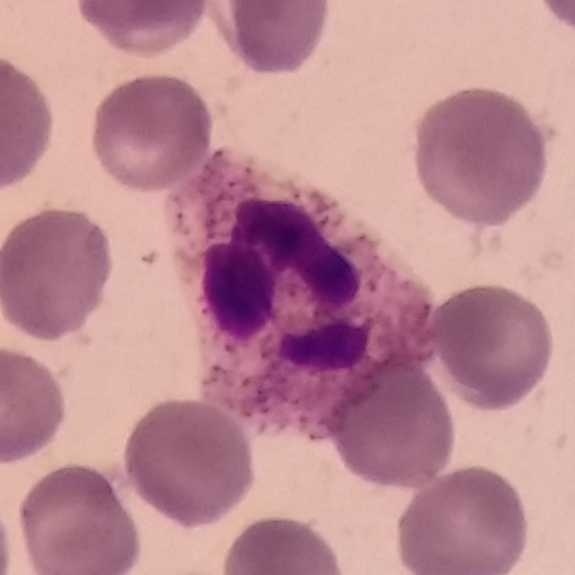 Q: What is this?
A: Neutrophil granulocyte. Image: Peripheral blood smear.